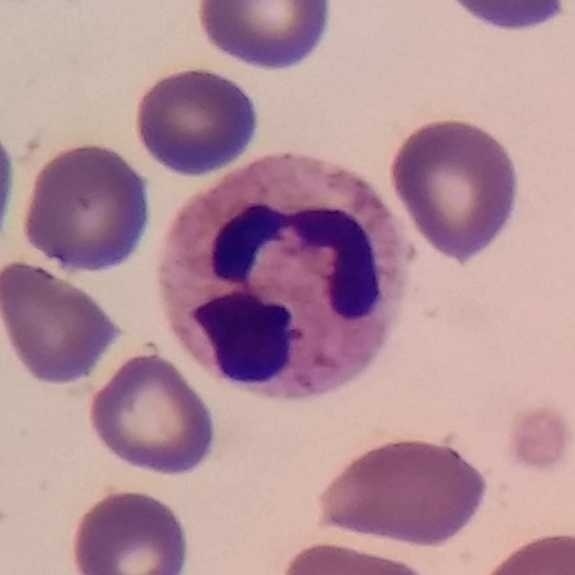

The cell shown is a neutrophil.